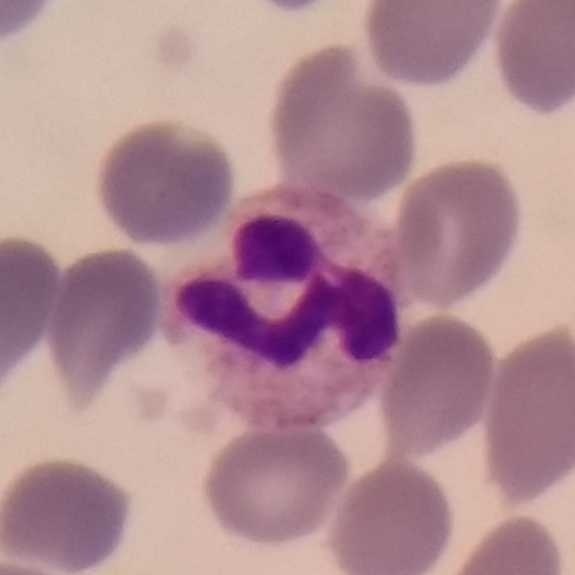Classification — neutrophil.
Acquisition: Giemsa-stained · peripheral blood smear.